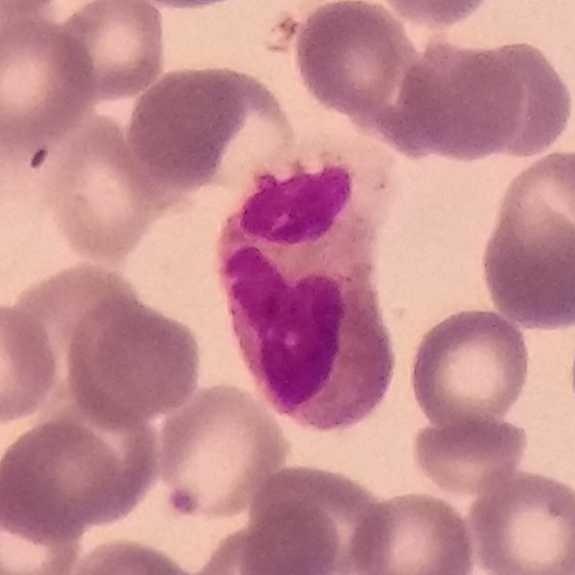
Preparation: Peripheral blood film.
Identified as an eosinophilic granulocyte.